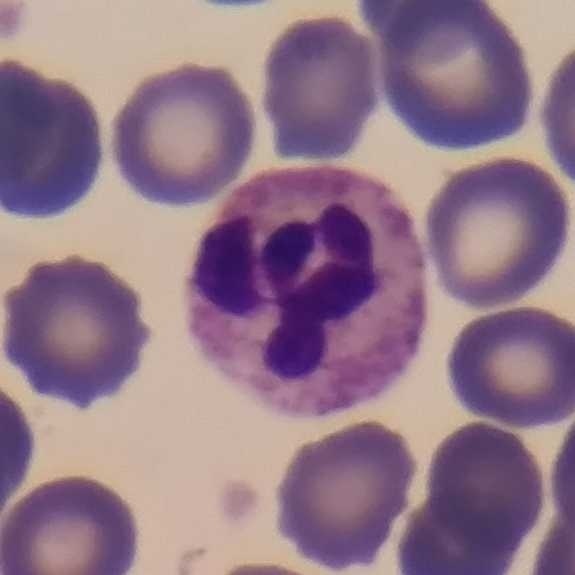

Specimen: peripheral blood smear.
White blood cell type: neutrophil granulocyte.